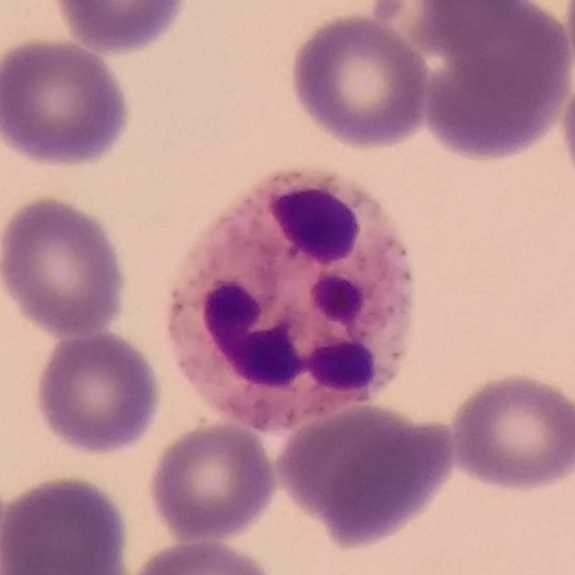 Morphology consistent with a neutrophil.
Acquisition: Peripheral blood film.